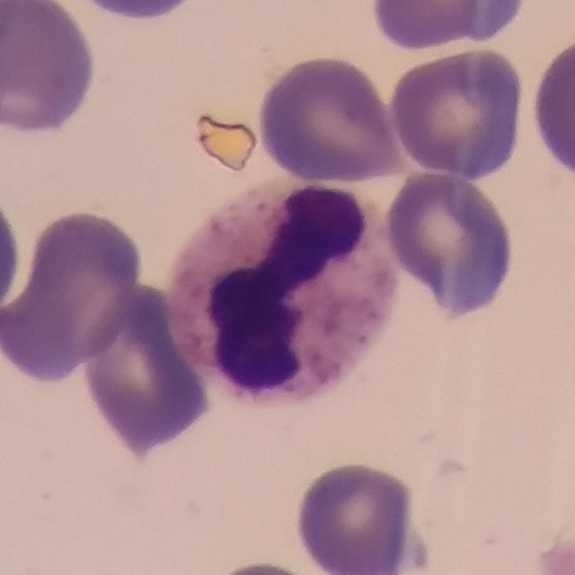 Specimen: peripheral blood film.
Classification: neutrophil.
Lineage: myeloid.